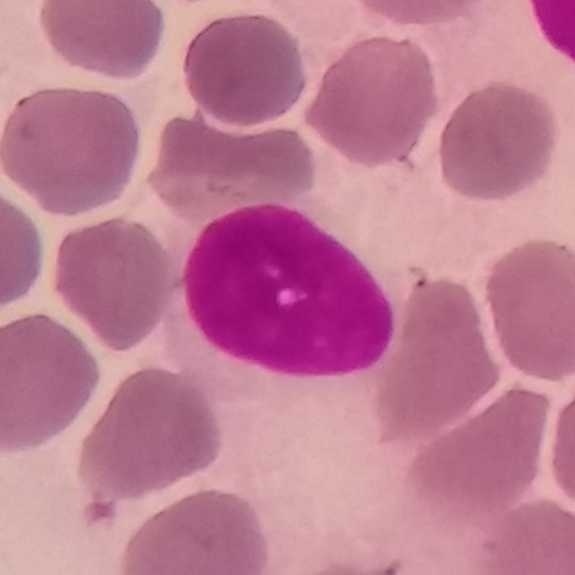 Preparation: Cropped to one leukocyte; peripheral blood film; 575×575 px.
Lymphocyte.